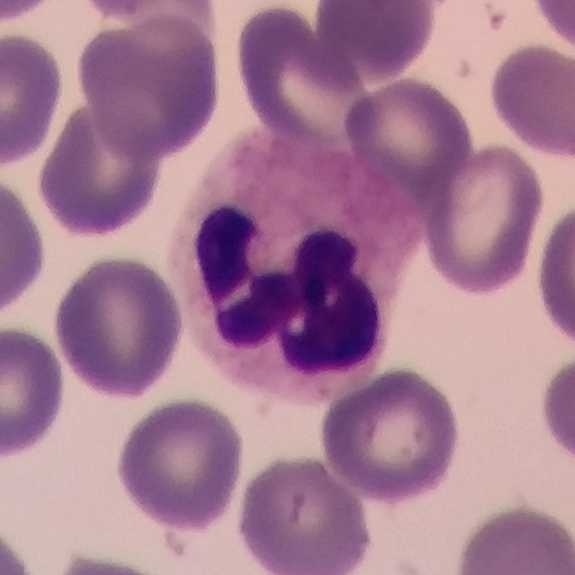White blood cell from a peripheral blood smear: neutrophilic granulocyte.